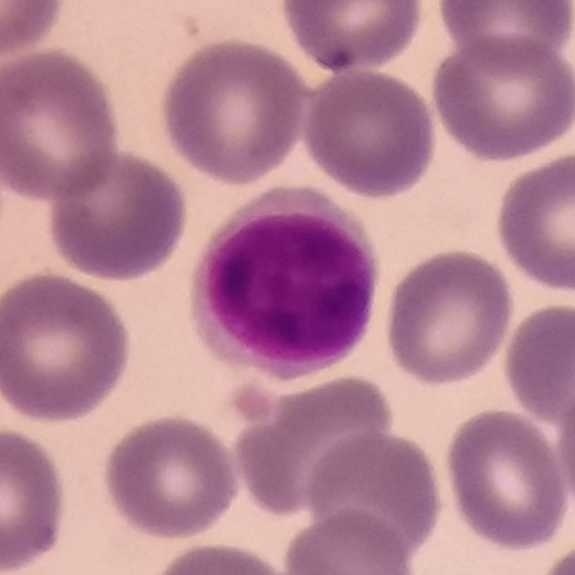

Cropped to one leukocyte; peripheral blood smear; 575×575 px. Cell — lymphocyte.